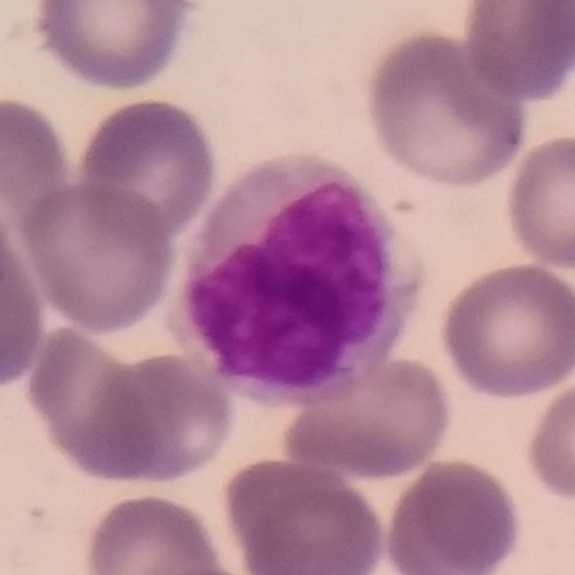 The classification is monocyte. Smartphone photomicrograph. Peripheral blood film.